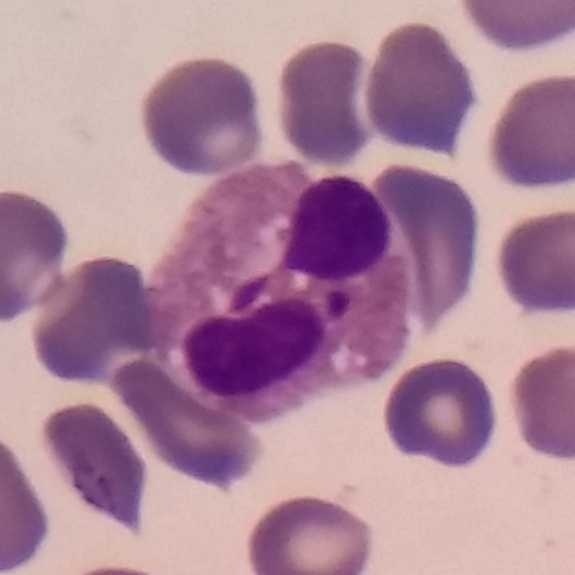Morphology — eosinophil.
Preparation: Peripheral blood film.